Peripheral blood film: 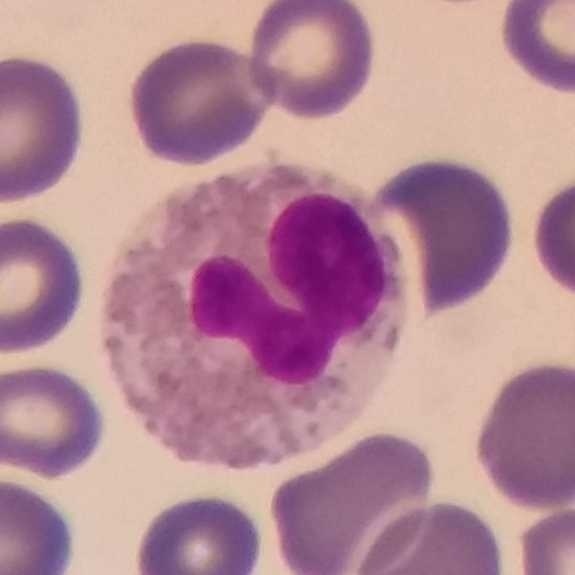
Q: Classify this leukocyte.
A: This is an eosinophilic granulocyte.